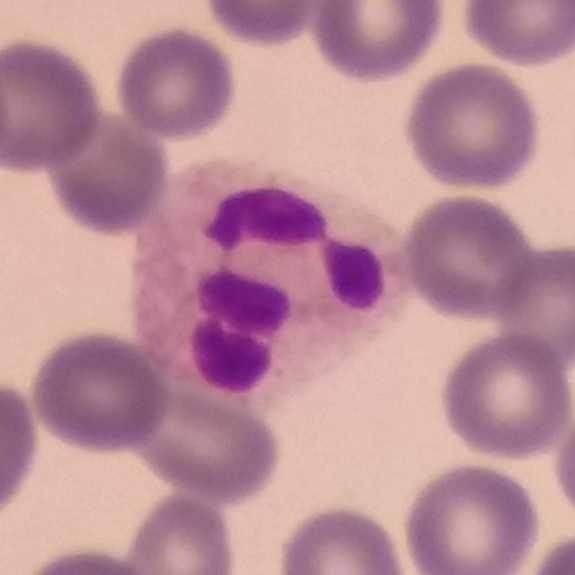
Preparation: Peripheral blood film.

The cell is neutrophil.